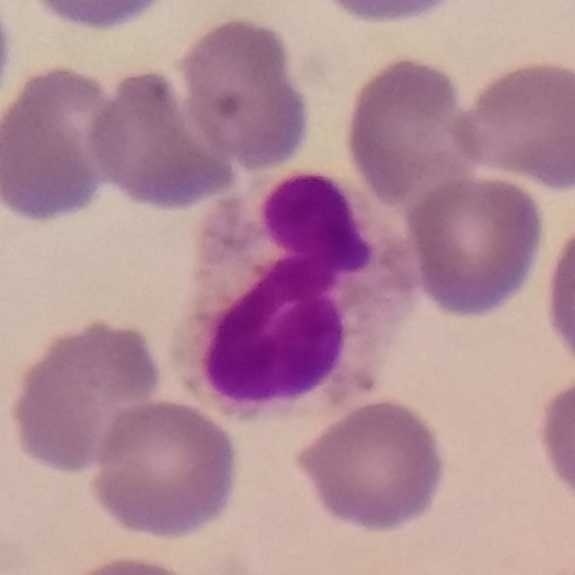 Identified as a neutrophil granulocyte. Acquisition: Peripheral blood smear. Single white blood cell cropped from the smear photograph.